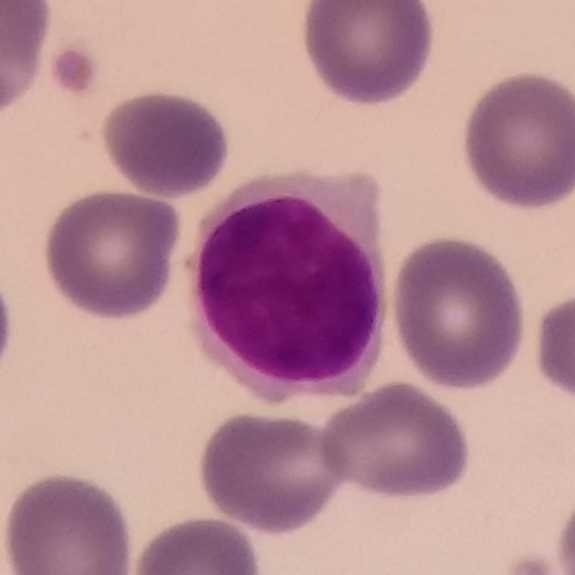
Lymphocyte.